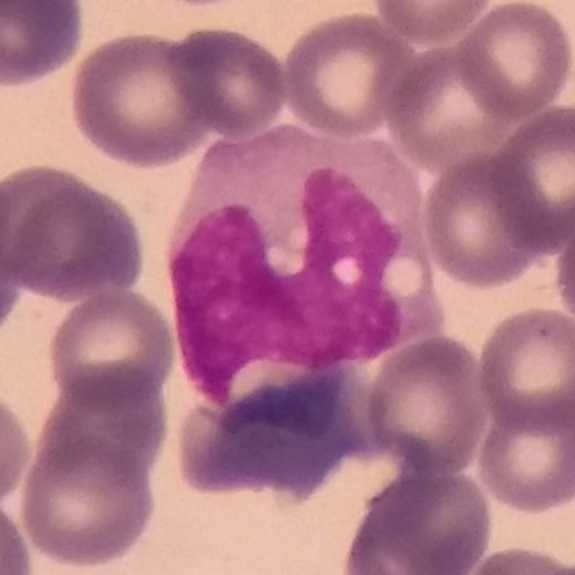
{"cell_type": "monocyte", "lineage": "myeloid"} Context: Stained with Giemsa. Peripheral blood film. Photographed through a light microscope with a smartphone camera.